Peripheral blood smear; 100× magnification.
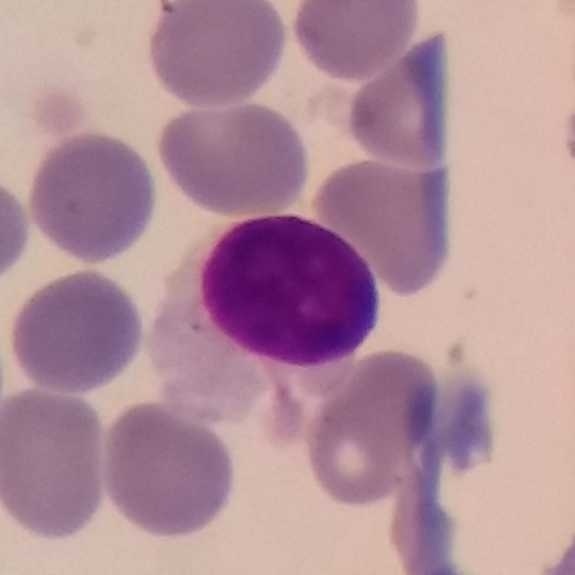

Classification = lymphocyte.